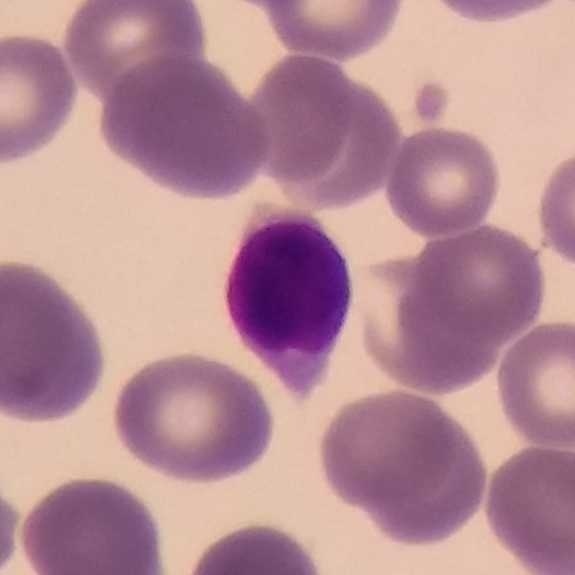Image: Peripheral blood film.

Lymphocyte.